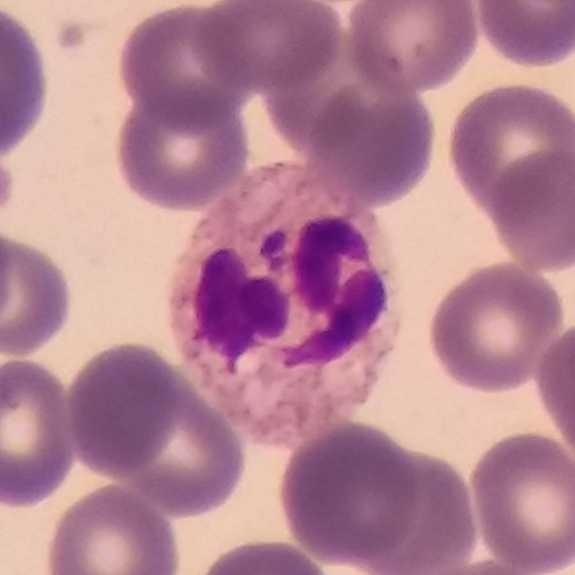

White blood cell type = neutrophil.